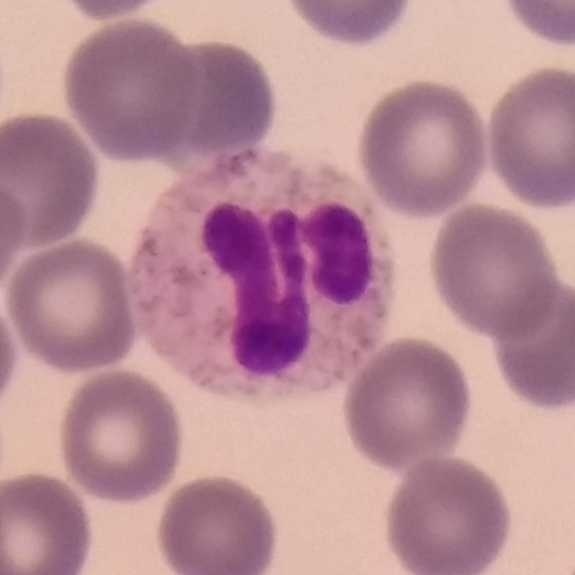Preparation: 575 by 575 pixels · smartphone camera mounted on the microscope eyepiece · peripheral blood smear.
Morphology consistent with a neutrophilic granulocyte.